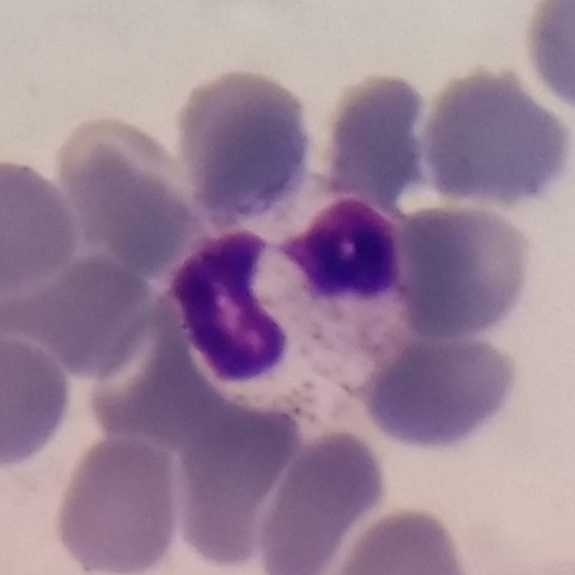 Specimen: peripheral blood film.
Cell type: neutrophil granulocyte.
Smartphone camera mounted on the microscope eyepiece. Imaged at 100×.